Photographed through a light microscope with a smartphone camera. Peripheral blood film.
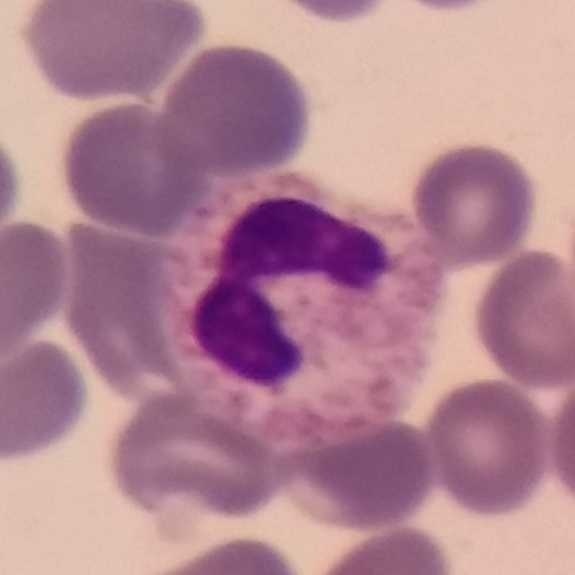 This is a neutrophilic granulocyte.